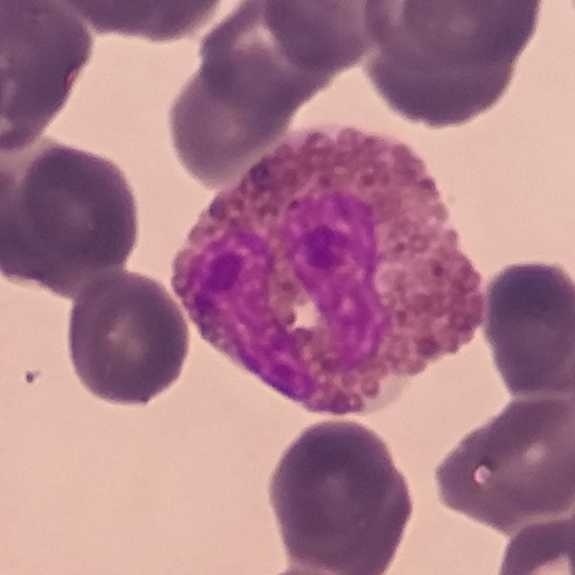

Showing an eosinophil. Peripheral blood film.